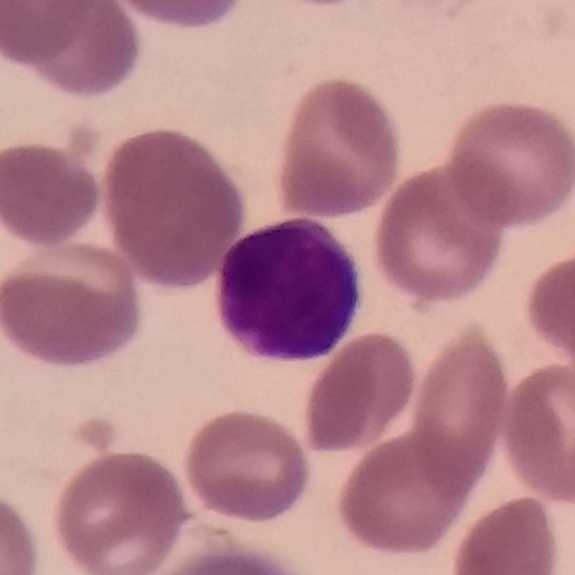

Q: Which type of white blood cell is this?
A: Lymphocyte. Preparation: Peripheral blood smear · 575×575 px.